Giemsa-stained. Peripheral blood smear: 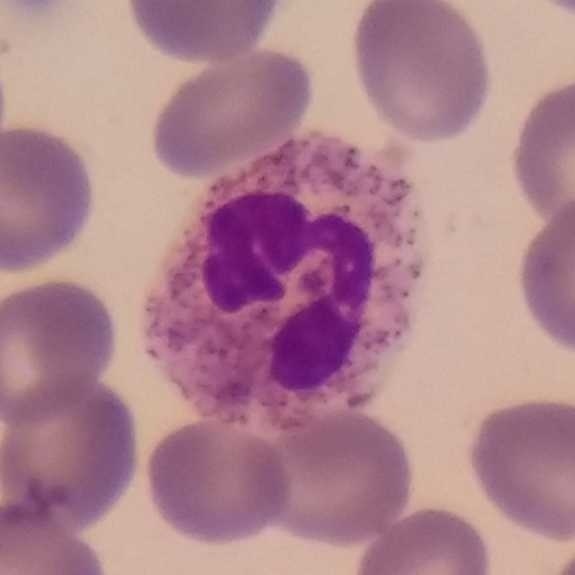Showing a neutrophil granulocyte.